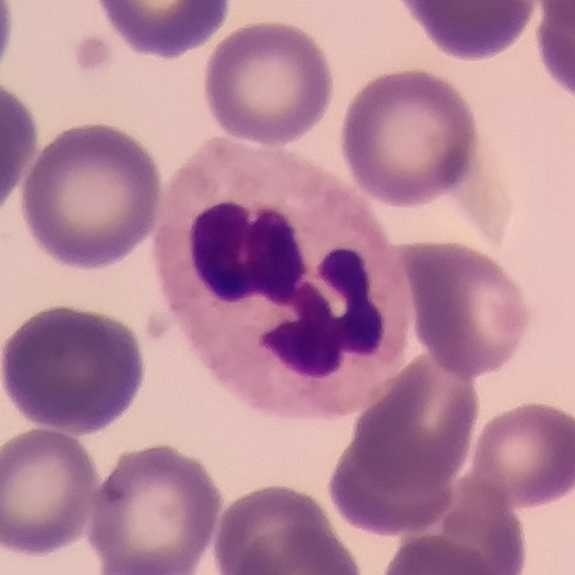 Specimen: peripheral blood smear.
Cell: neutrophilic granulocyte.
Lineage: myeloid.